Peripheral blood film; stained with Giemsa — 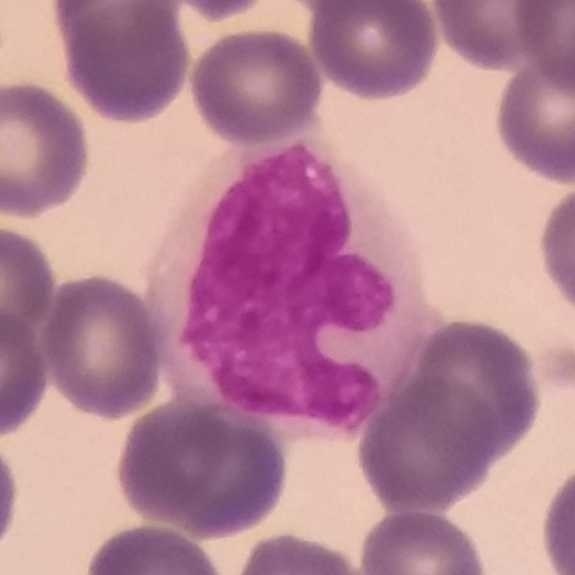Specimen: peripheral blood smear.
Classification: monocyte.